Peripheral blood film: 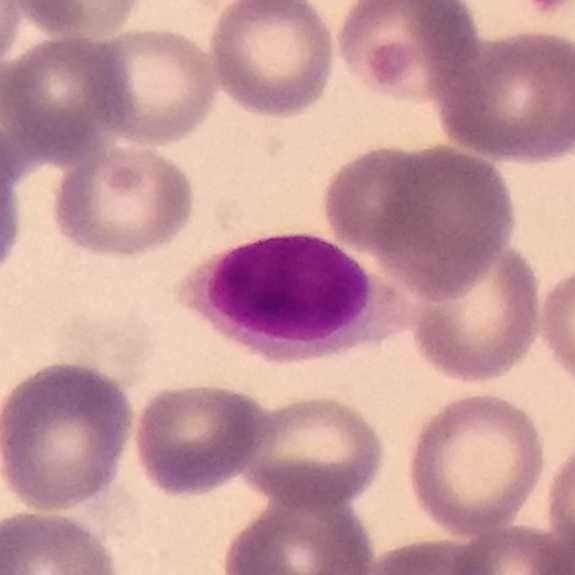Impression → lymphocyte.